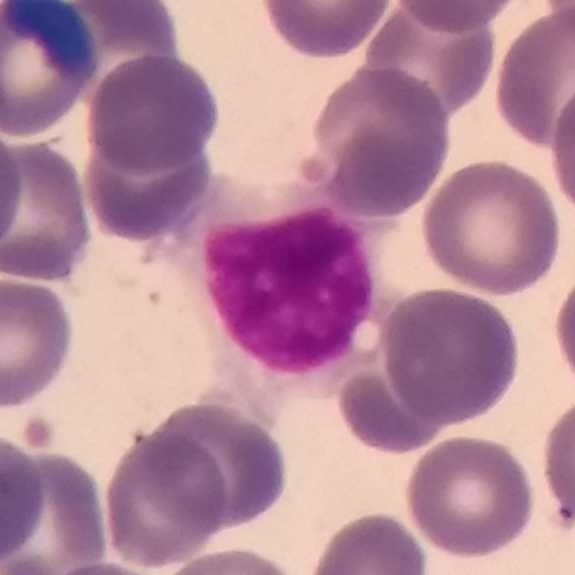Identified as a lymphocyte.